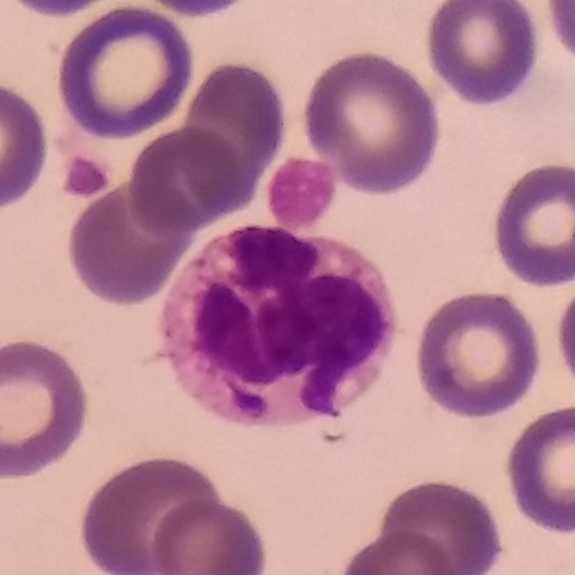

Morphology consistent with a neutrophil granulocyte.
Acquisition: Peripheral blood film.